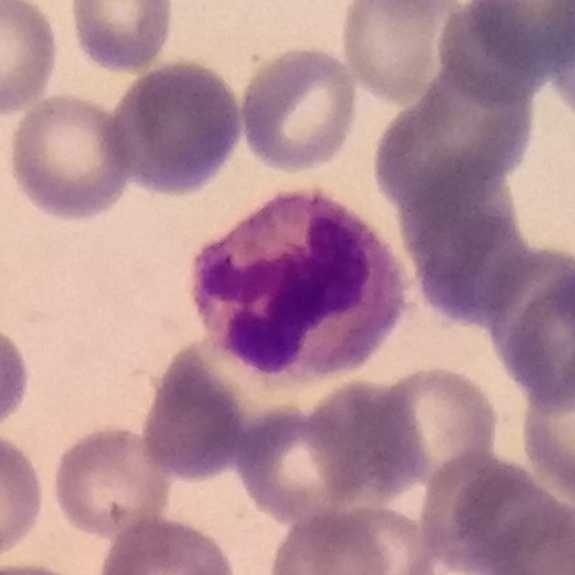The cell is neutrophilic granulocyte.